Peripheral blood smear — 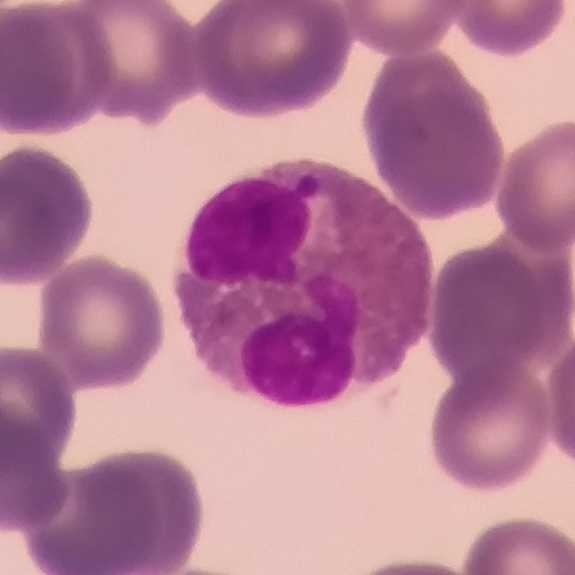The cell type is eosinophilic granulocyte.